Peripheral blood smear · imaged at 100× · single-cell field:
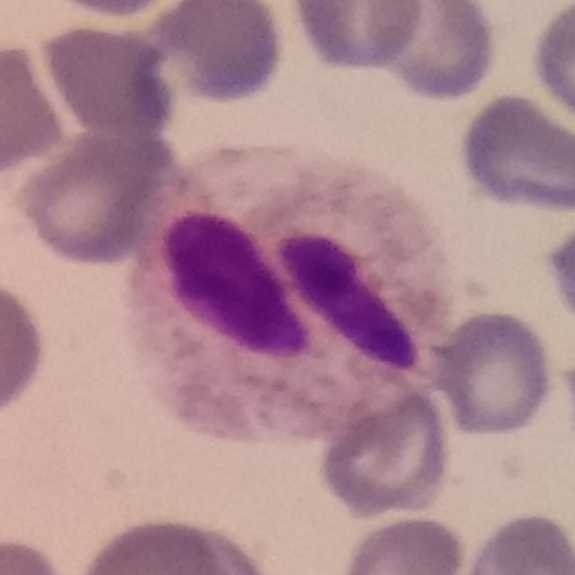
The cell type is neutrophil.